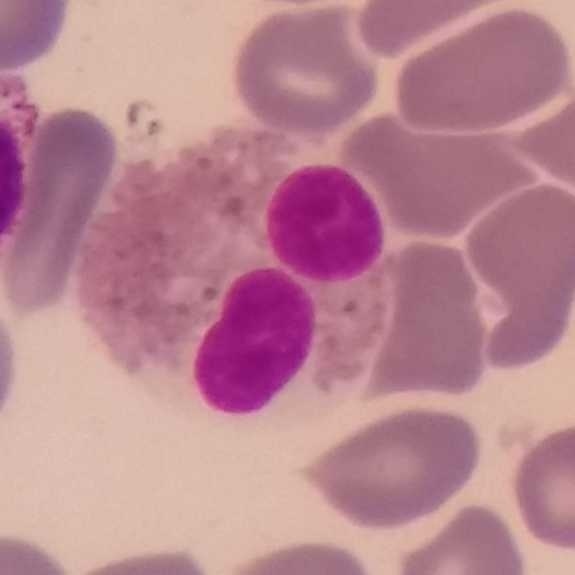 Acquisition: Peripheral blood smear. Imaged at 100×. Single-cell crop.

The white blood cell in this image is an eosinophil.